Photographed through a light microscope with a smartphone camera; cropped to one leukocyte; peripheral blood film: 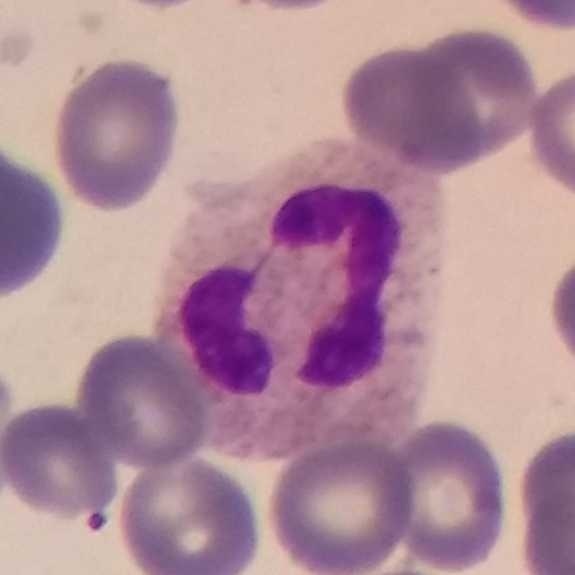 Specimen: peripheral blood smear.
Cell: neutrophil.